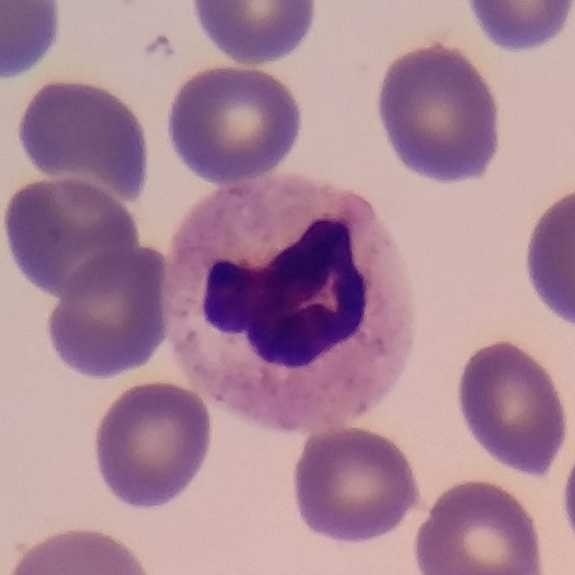

Acquisition: Stained with Giemsa · peripheral blood film.
A neutrophilic granulocyte.